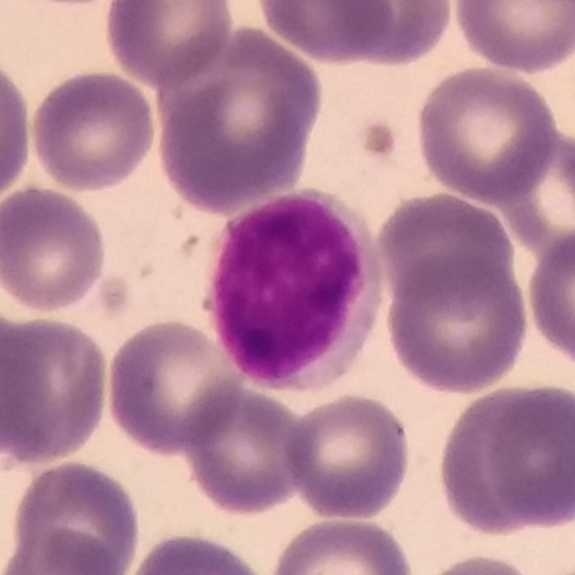
Q: What is shown here?
A: Lymphocyte.
Context: Peripheral blood film.